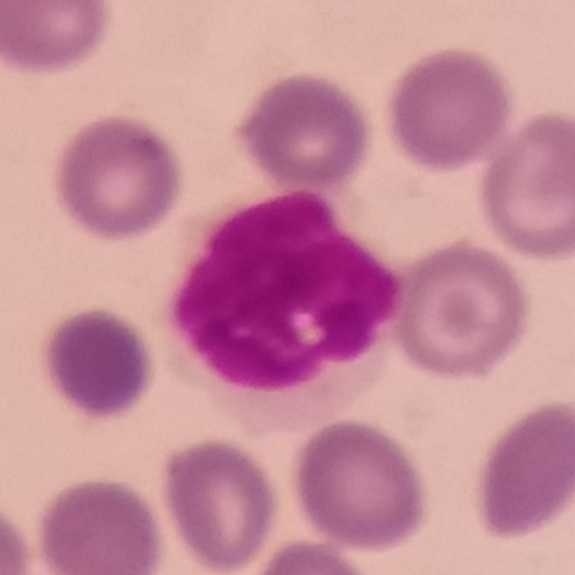 Phone-camera image taken through the microscope ocular; peripheral blood film. Impression — lymphocyte.